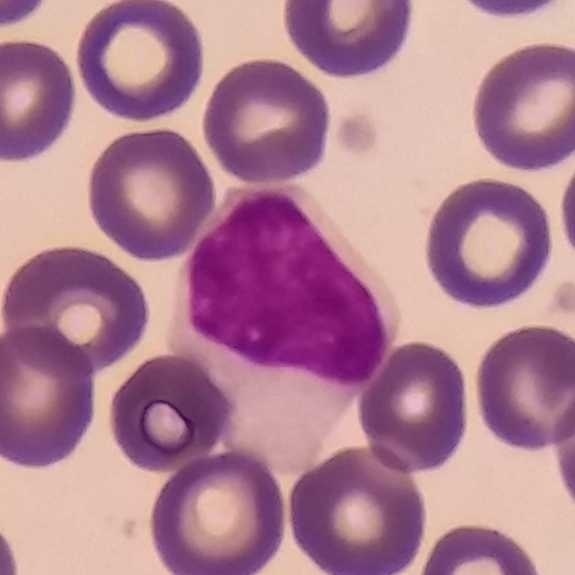Identified as a lymphocyte. Preparation: Peripheral blood smear; stained with Giemsa; 575×575 px.